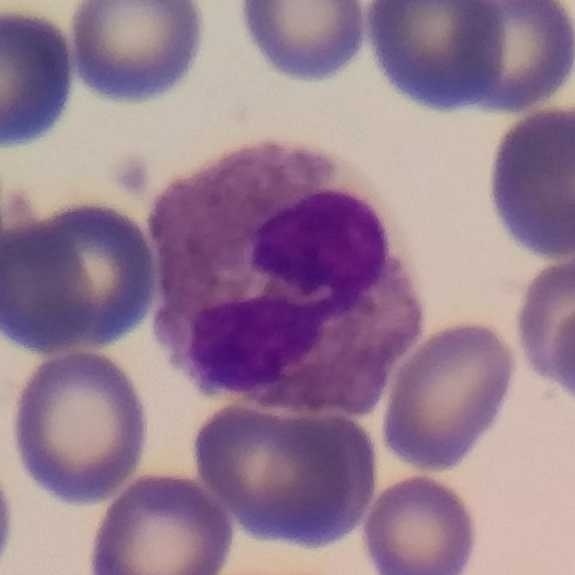Image: Peripheral blood film.
Showing an eosinophil.